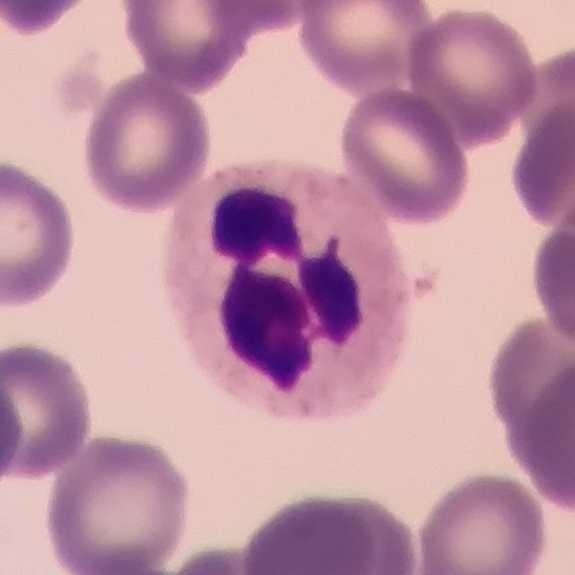Q: What type of cell is this?
A: A neutrophil.